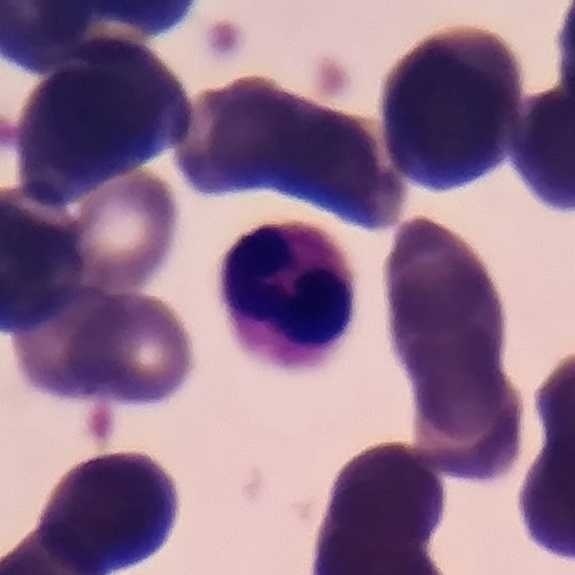
{"cell_type": "neutrophil granulocyte"}